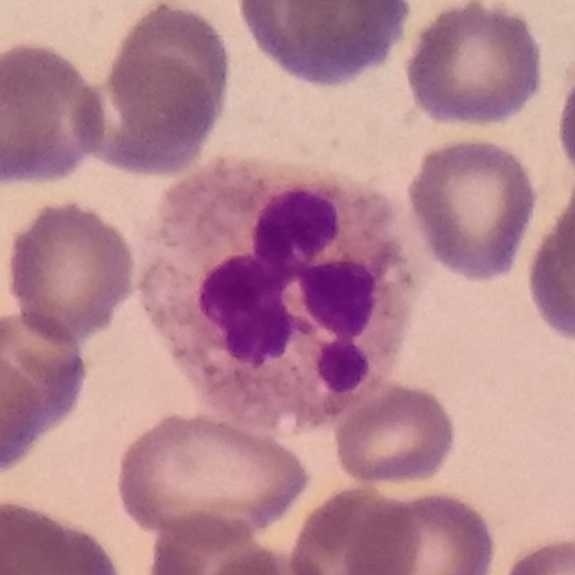 Cell = neutrophil.